Peripheral blood smear; stained with Giemsa
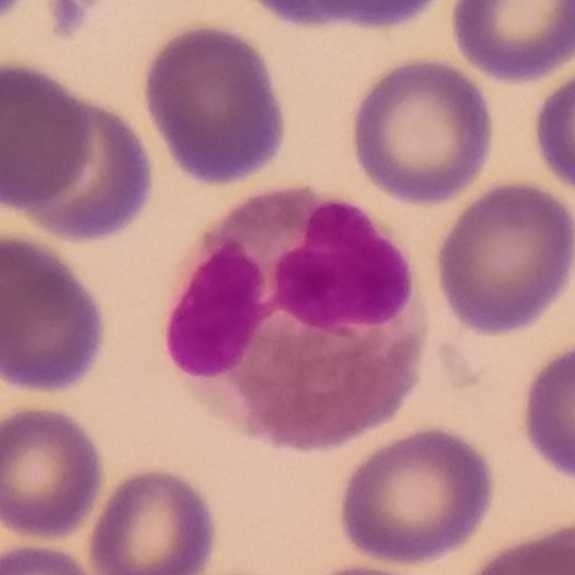This is an eosinophil.